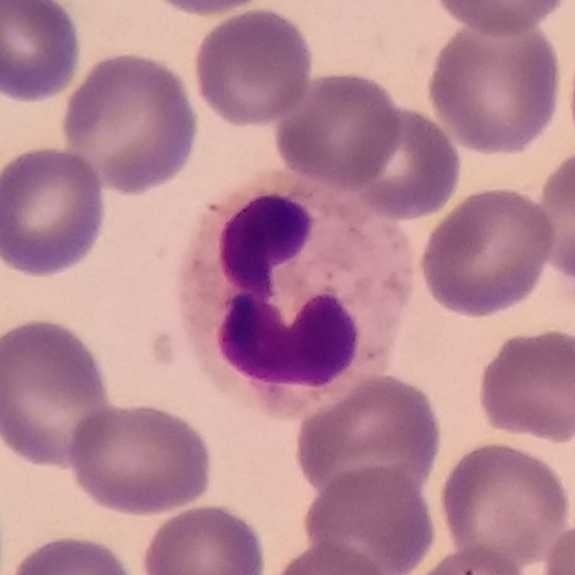 Classification: neutrophil.

Acquisition: Peripheral blood film.